Stained with Giemsa · peripheral blood film: 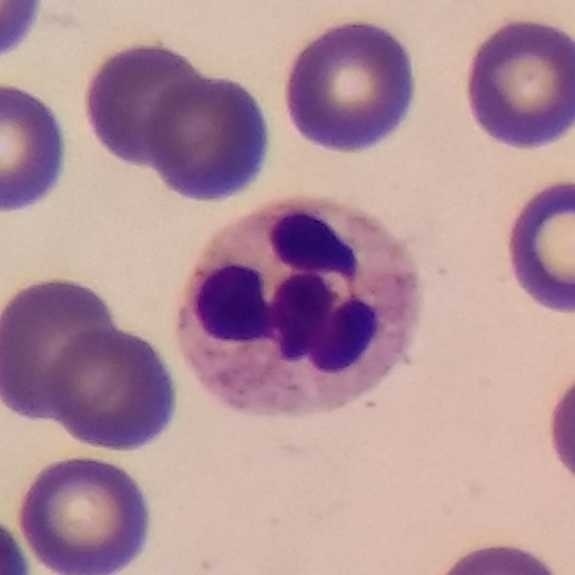

Q: What is the morphological classification of this cell?
A: It is a neutrophilic granulocyte.